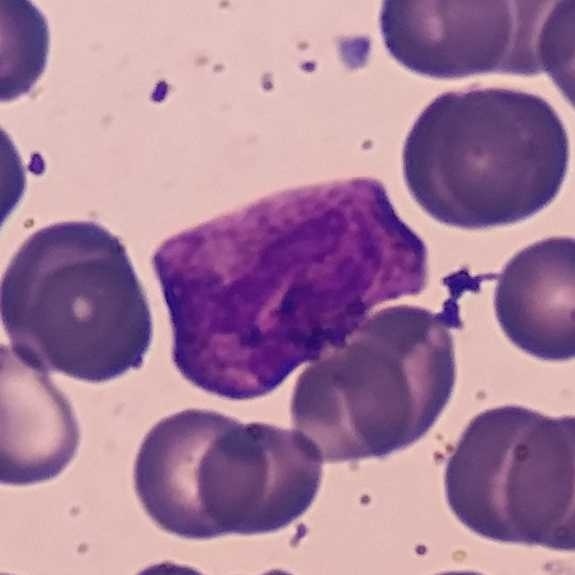

Peripheral blood film.
This is a neutrophilic granulocyte.